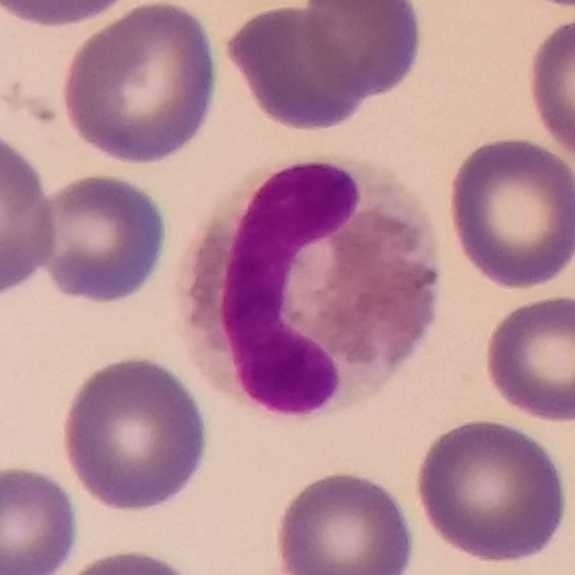Specimen: peripheral blood smear.
White blood cell type: eosinophil.
Lineage: myeloid.